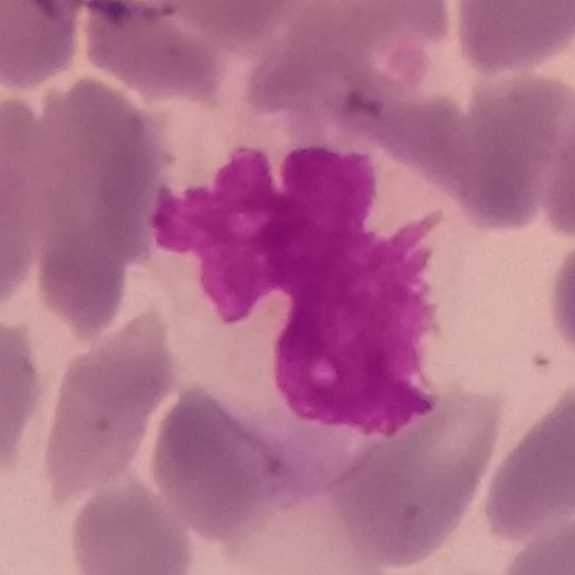

Q: Classify this leukocyte.
A: It is a monocyte.